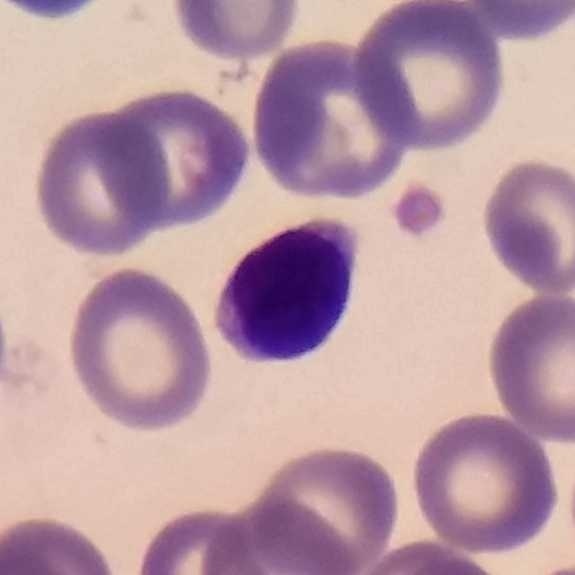Q: What cell is this?
A: This is a lymphocyte. Preparation: Peripheral blood smear.